Single white blood cell cropped from the smear photograph. Peripheral blood film.
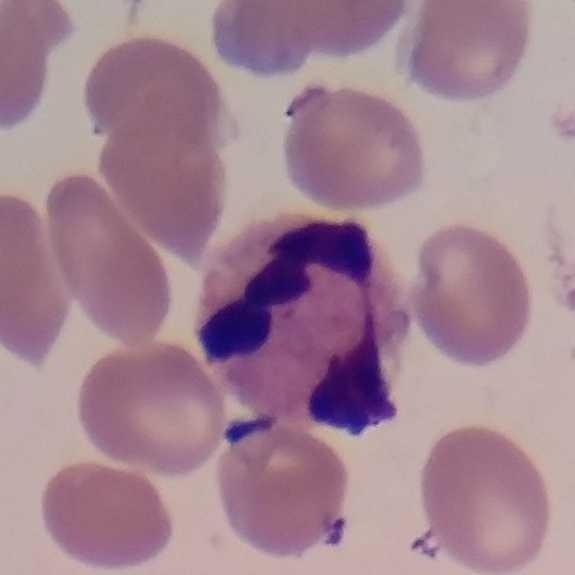 Specimen: peripheral blood smear.
Morphological class: neutrophilic granulocyte.
Lineage: myeloid.